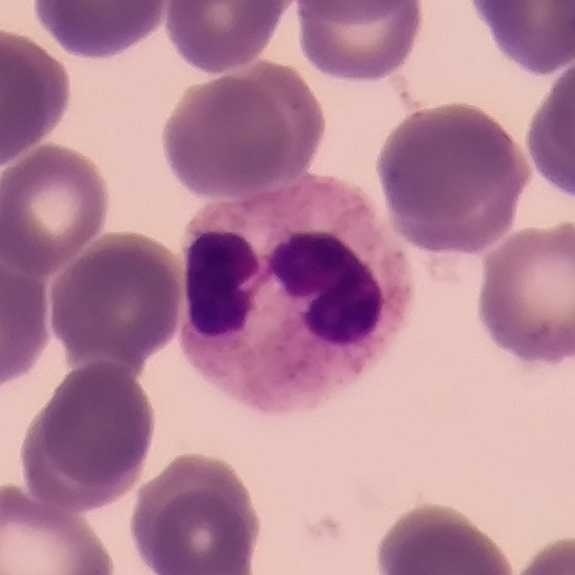Identified as a neutrophilic granulocyte.